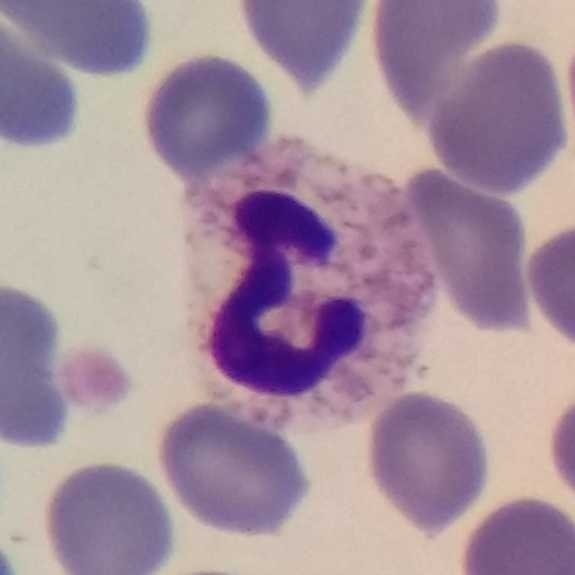

The cell shown is a neutrophil granulocyte.